Peripheral blood film: 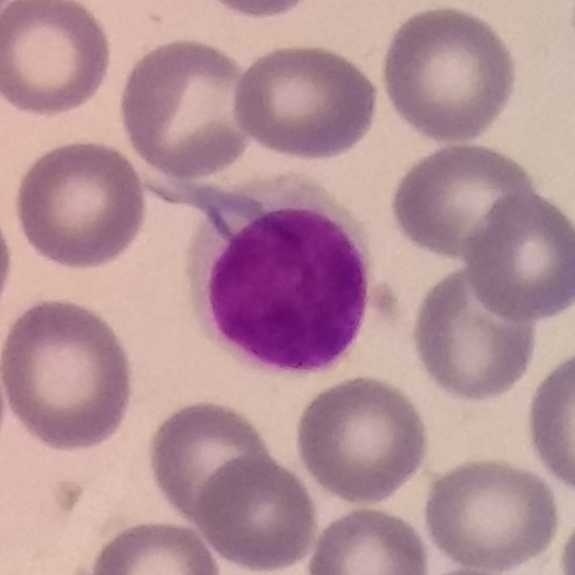 Morphology → lymphocyte.